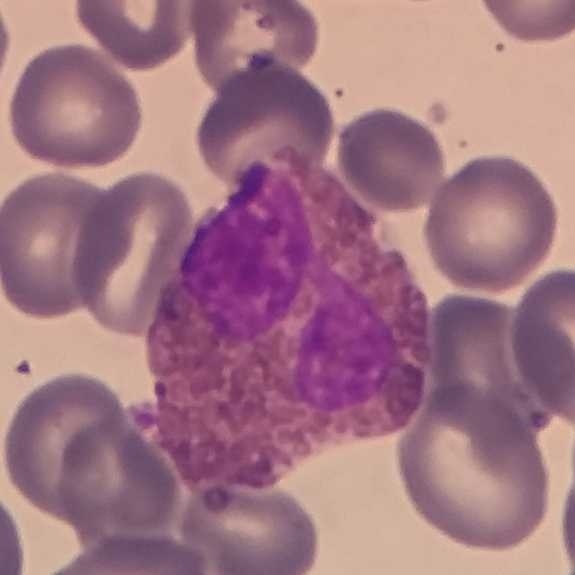
Peripheral blood smear.
Cell: eosinophilic granulocyte.